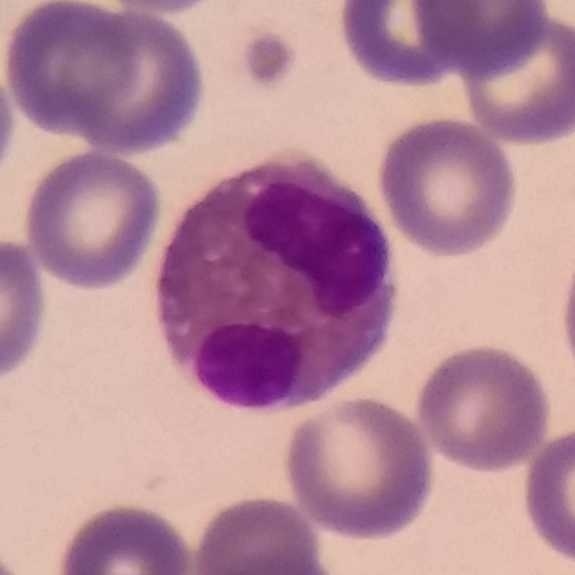

Morphological class = eosinophil.

Image: Peripheral blood film; single-cell field.